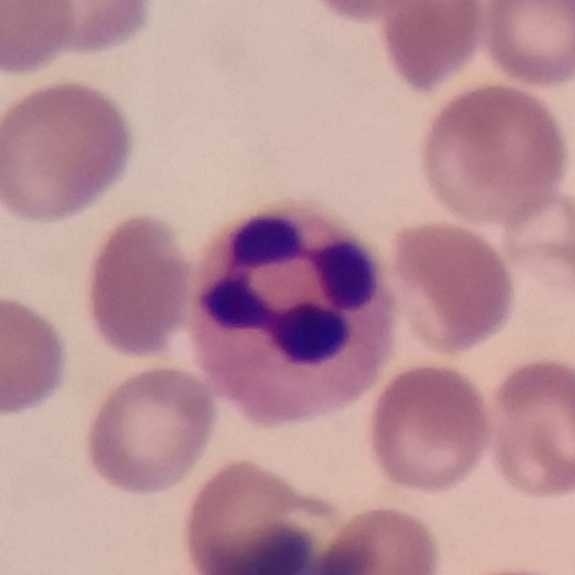Morphology consistent with a neutrophil granulocyte.

Image: Image size 575×575; peripheral blood film.